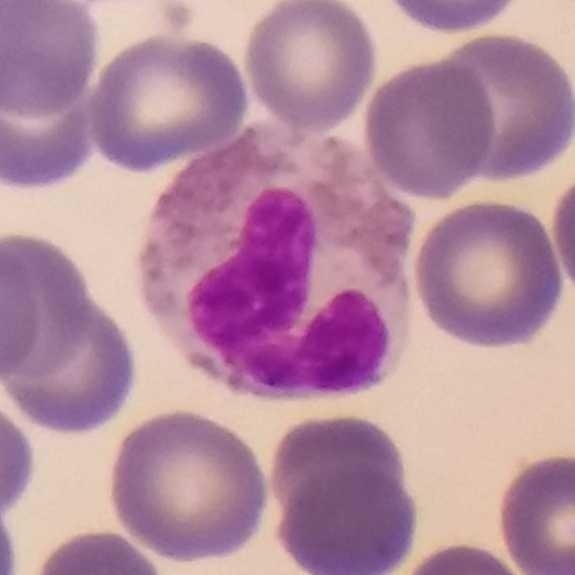

Cell type — eosinophil.